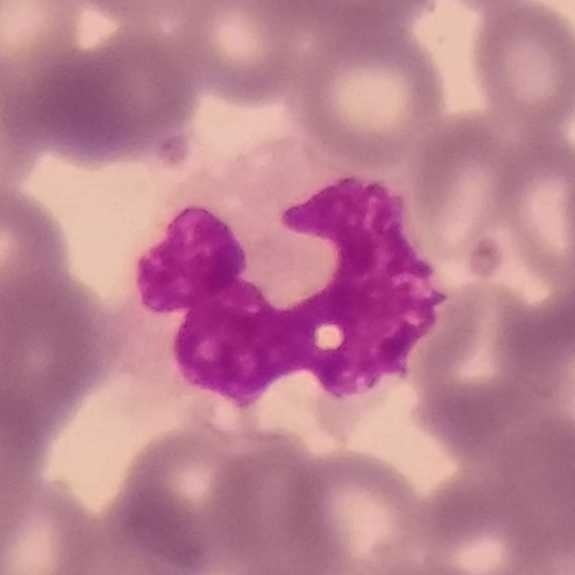 The cell shown is a monocyte. Image: Peripheral blood film; Giemsa-stained.